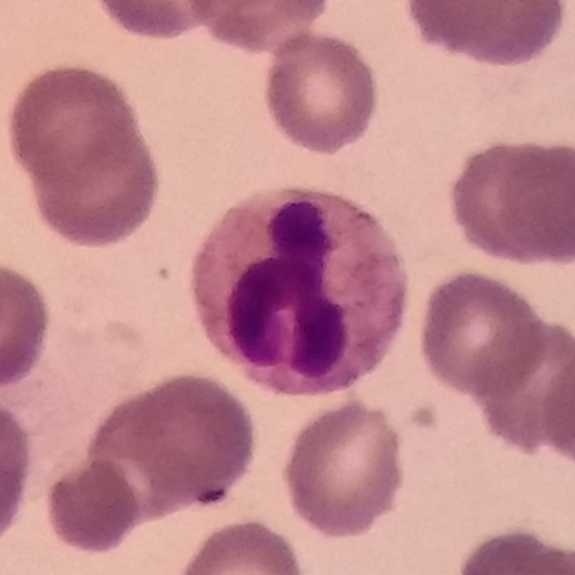Specimen: peripheral blood film.
White blood cell type: neutrophil granulocyte.

Phone-camera image taken through the microscope ocular.